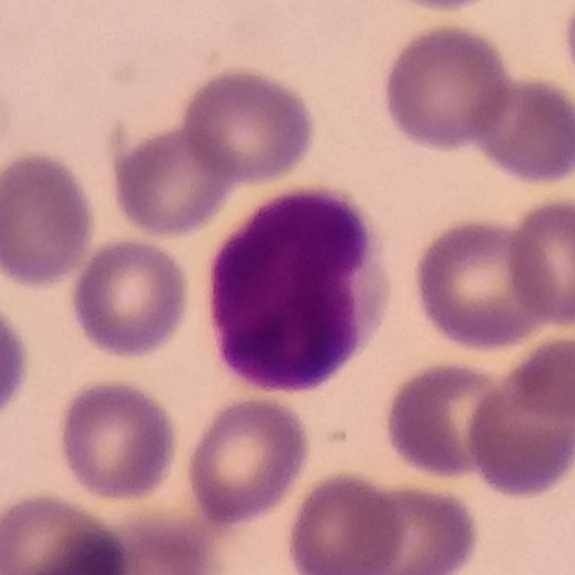

Q: What cell is this?
A: Lymphocyte. Acquisition: 575×575 px · smartphone photomicrograph · peripheral blood smear.